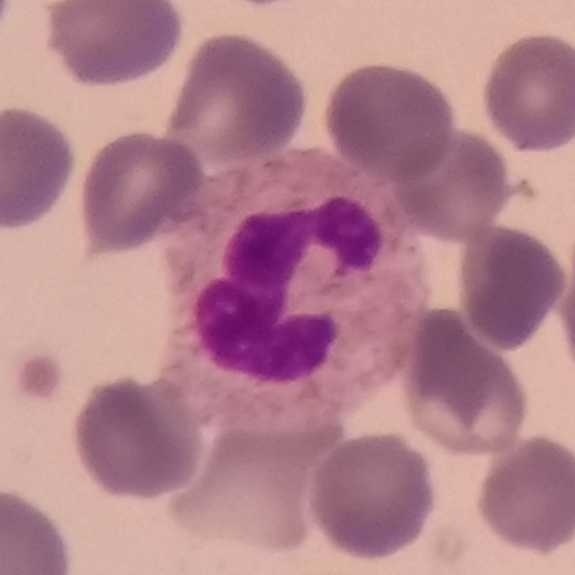
{"cell_type": "neutrophil"}
Acquisition: Peripheral blood smear.